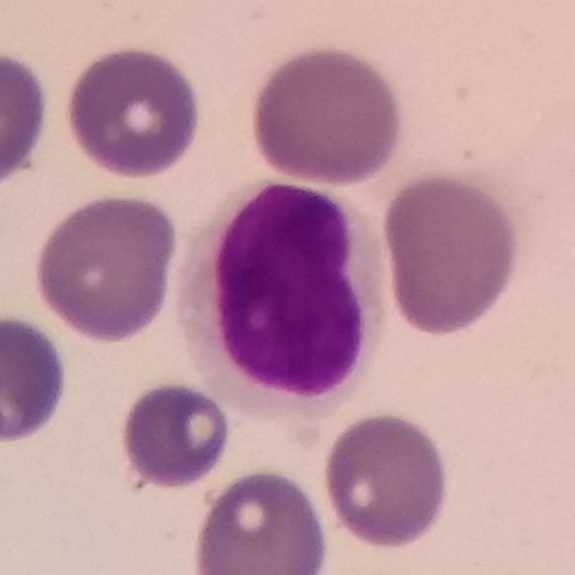

Preparation: 100× magnification; peripheral blood smear.

A lymphocyte.